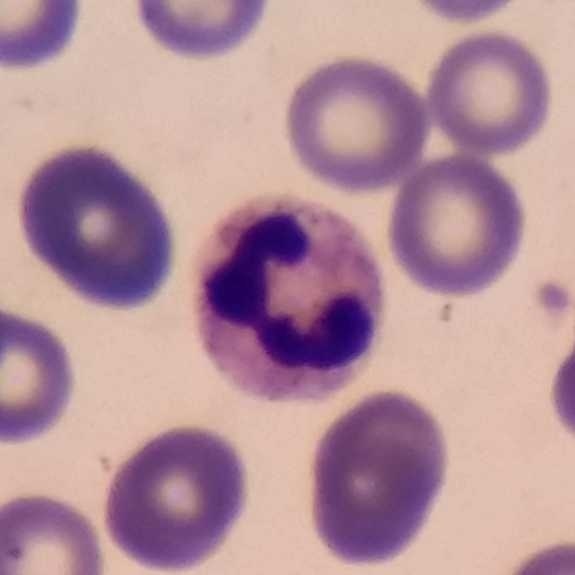 Preparation: Peripheral blood film; phone-camera image taken through the microscope ocular.

Neutrophil.